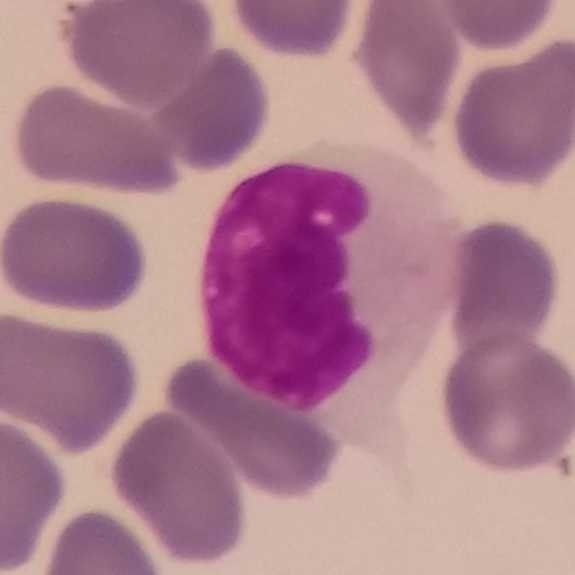
Peripheral blood film; single white blood cell cropped from the smear photograph.

Morphology consistent with a monocyte.